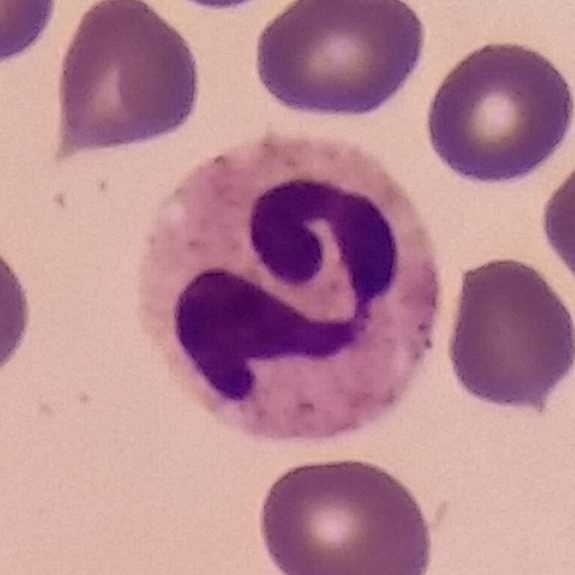Morphology consistent with a neutrophil. Context: Peripheral blood smear.